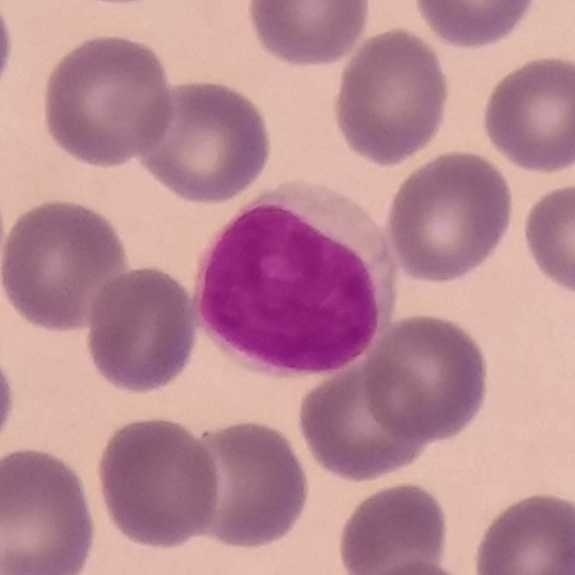
Image: Peripheral blood film.
Showing a lymphocyte.